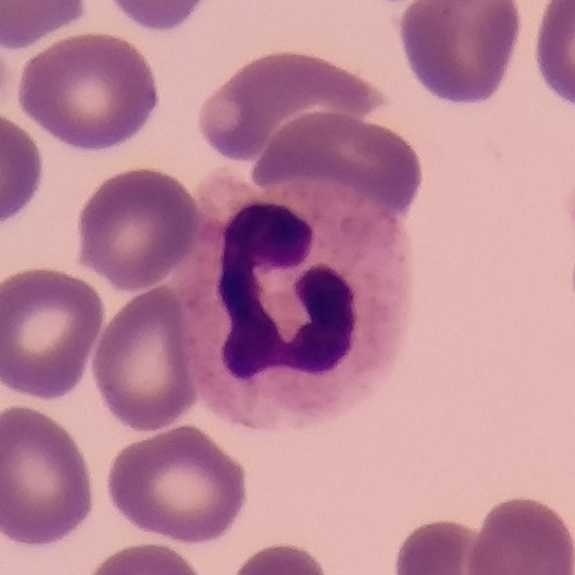Classification = neutrophilic granulocyte.
Acquisition: Peripheral blood smear · single-cell field.